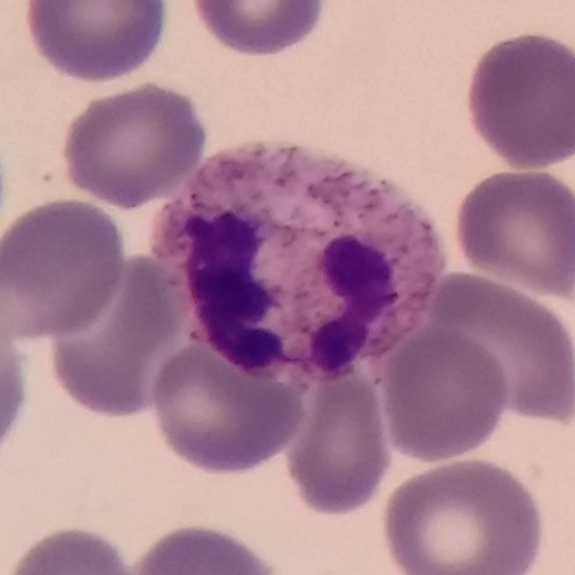Morphology consistent with a neutrophil granulocyte.
Acquisition: Peripheral blood film.